Peripheral blood film. Giemsa-stained — 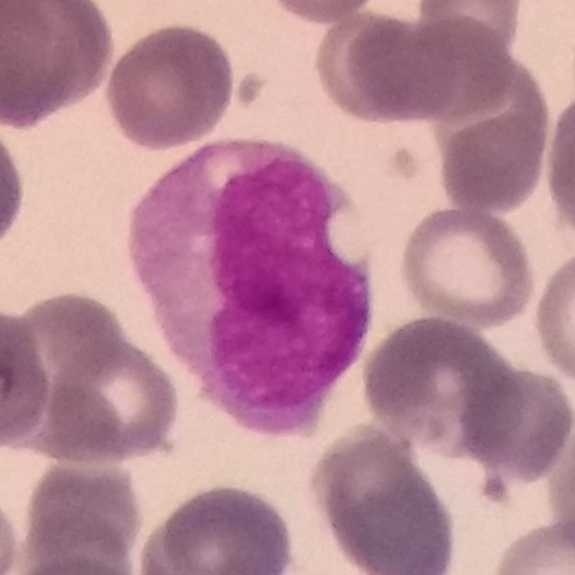 Showing a monocyte.